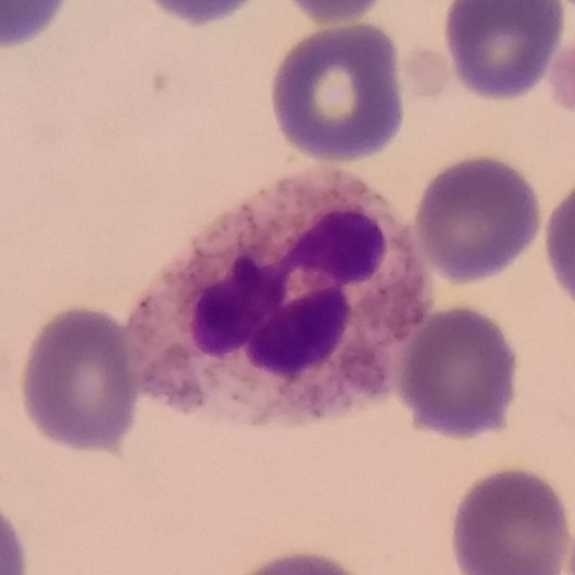Showing a neutrophil. Acquisition: Peripheral blood smear. Magnification 100×.